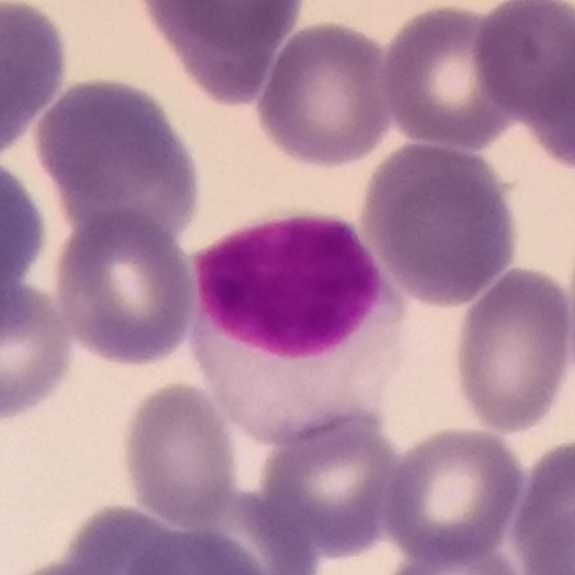

Context: Peripheral blood film. Impression — lymphocyte.